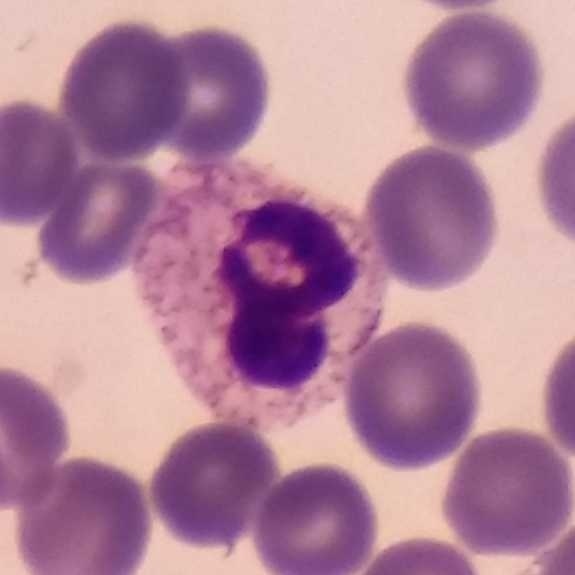

Specimen: peripheral blood smear.
White blood cell type: neutrophilic granulocyte.